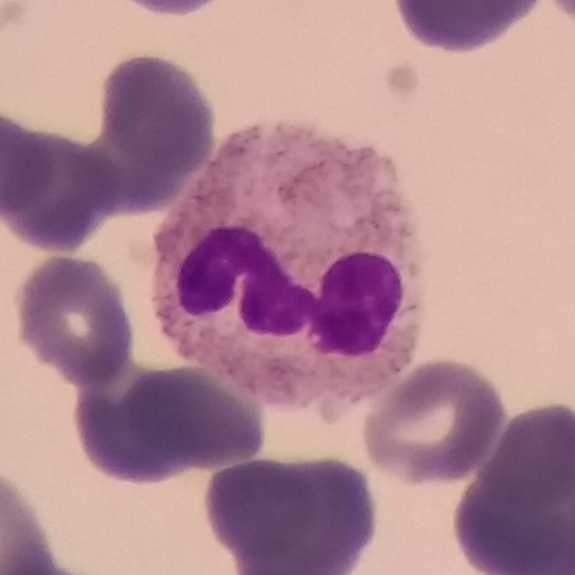
The white blood cell in this image is a neutrophil.
Acquisition: Peripheral blood smear.